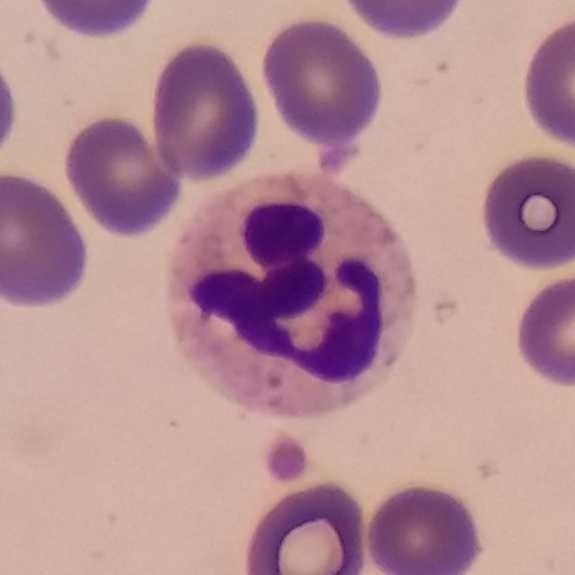

Identified as a neutrophilic granulocyte.
Image: Peripheral blood smear.